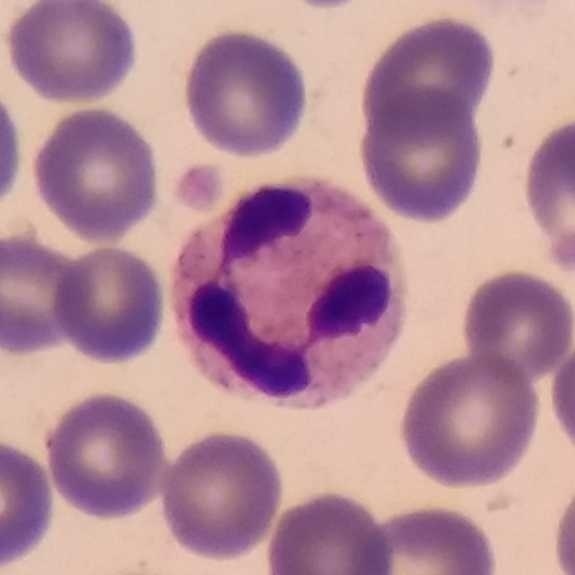 Morphology consistent with a neutrophil granulocyte. Photographed through a light microscope with a smartphone camera; peripheral blood film; single-cell field.